575×575. Peripheral blood smear — 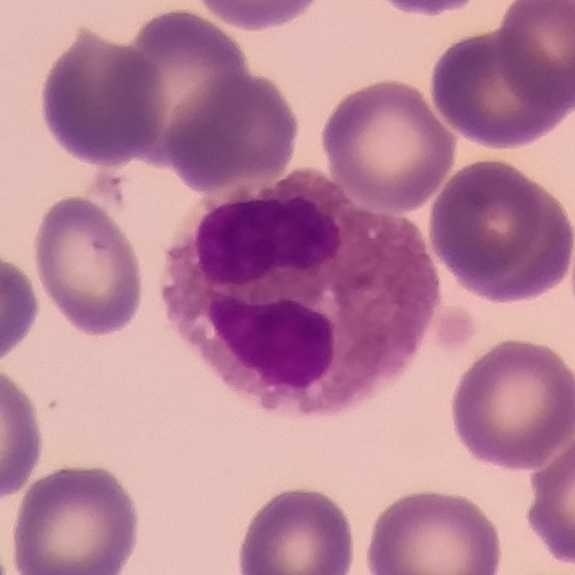

Specimen: peripheral blood film.
Classification: eosinophilic granulocyte.